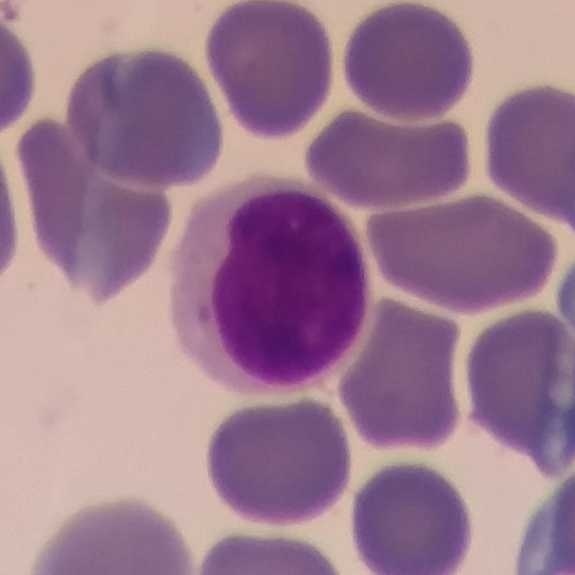 Acquisition: Peripheral blood smear. Single cell identified as a lymphocyte.